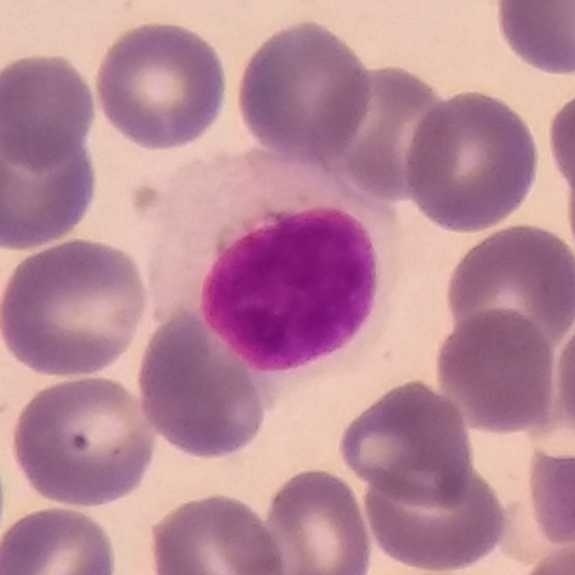
Morphology consistent with a lymphocyte. Peripheral blood film. Imaged at 100×.